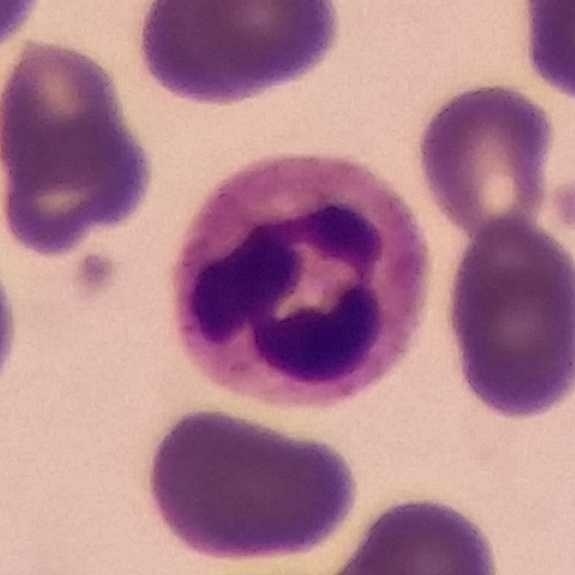

Specimen: peripheral blood film.
Cell: neutrophilic granulocyte.
Lineage: myeloid.
Image: Photographed through a light microscope with a smartphone camera. Giemsa stain.